Magnification 100×; peripheral blood smear; cropped to one leukocyte
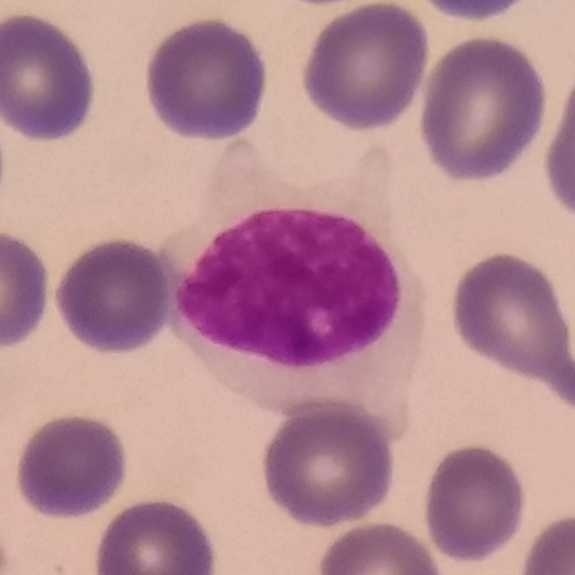
Identified as a lymphocyte.